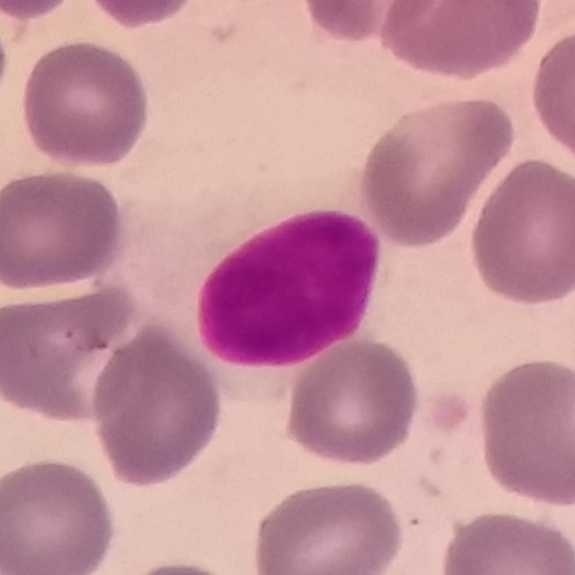 Image: Peripheral blood film.

The white blood cell in this image is a lymphocyte.